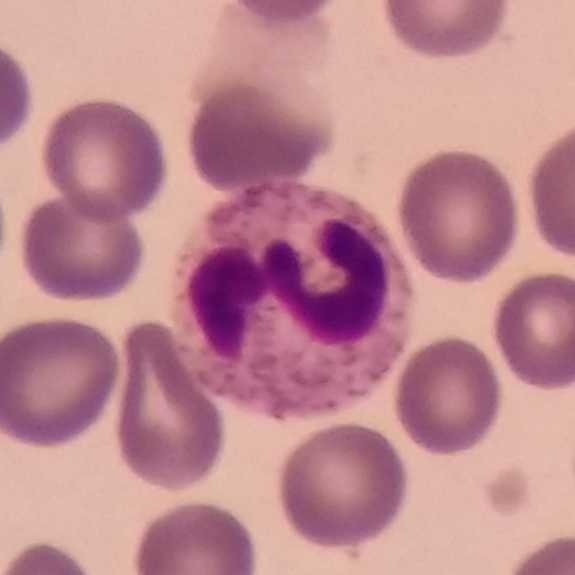Specimen: peripheral blood film.
White blood cell type: neutrophilic granulocyte.
Lineage: myeloid.